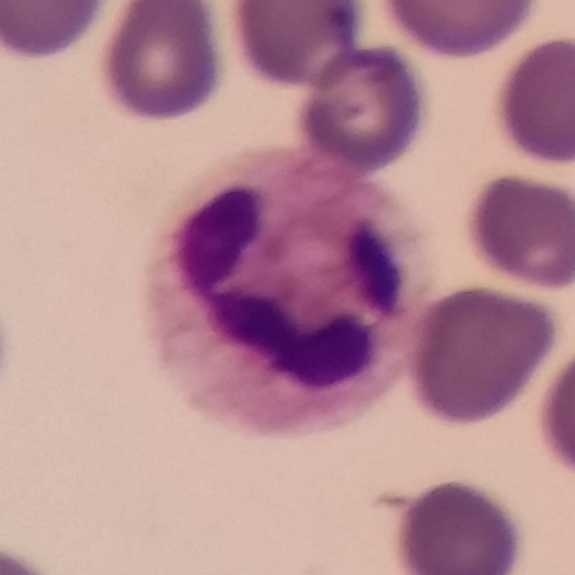 {"cell_type": "neutrophil granulocyte"}